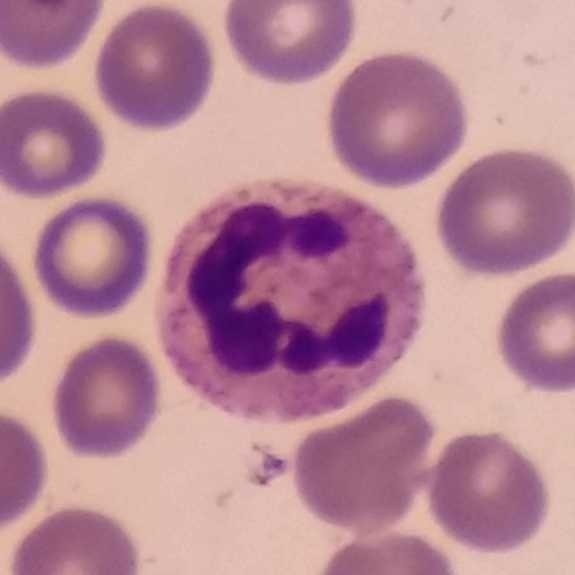

The white blood cell in this image is a neutrophilic granulocyte.

Image: Peripheral blood film; imaged at 100×.